Peripheral blood film:
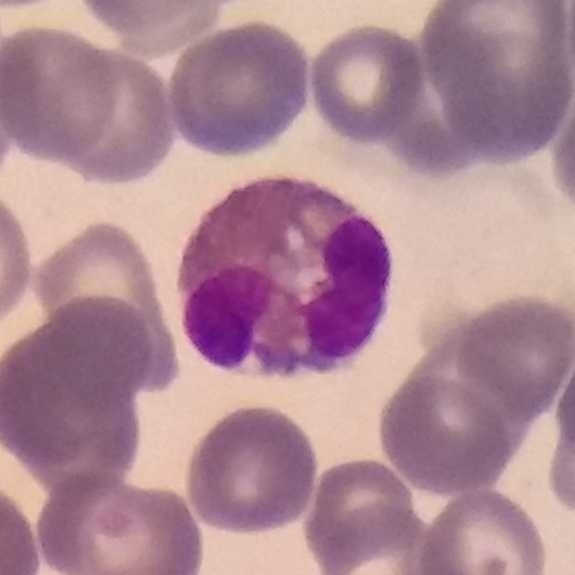

Impression — eosinophil.